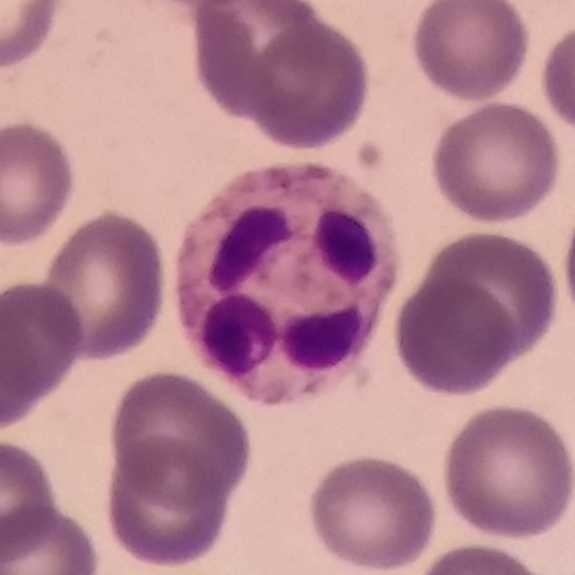 Specimen: peripheral blood film.
Cell type: neutrophilic granulocyte.
Lineage: myeloid.